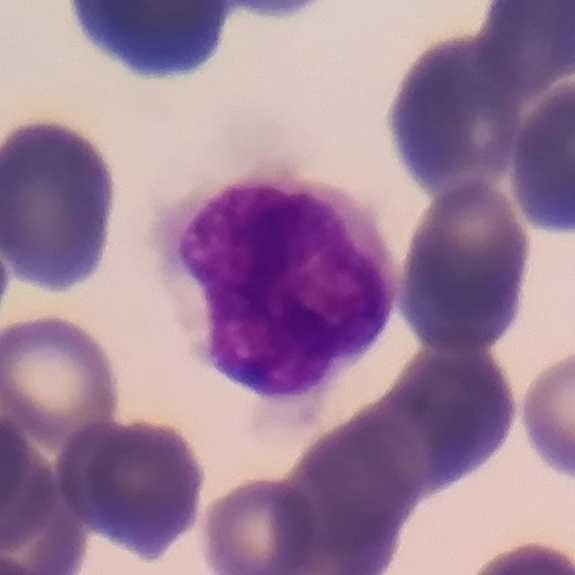Specimen: peripheral blood film.
Morphological class: lymphocyte.